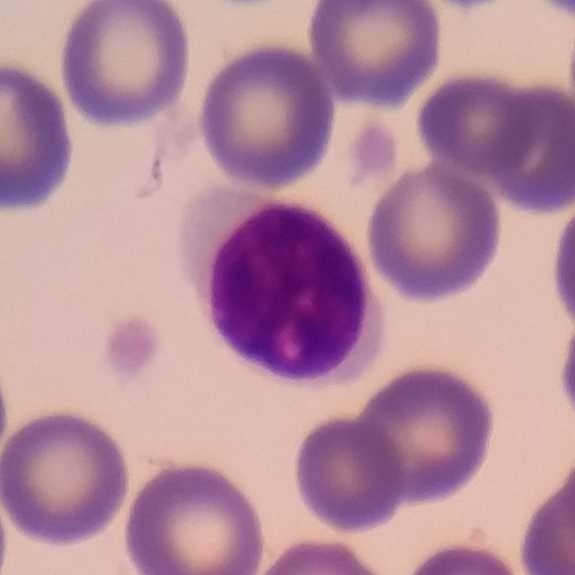 Morphological class: lymphocyte. Image: Peripheral blood film · smartphone photomicrograph.